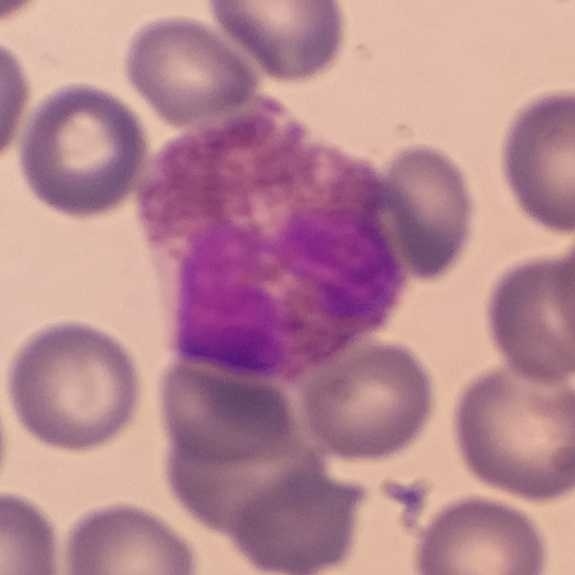 Showing an eosinophilic granulocyte.
Image: Peripheral blood smear · photographed through a light microscope with a smartphone camera · single white blood cell cropped from the smear photograph.